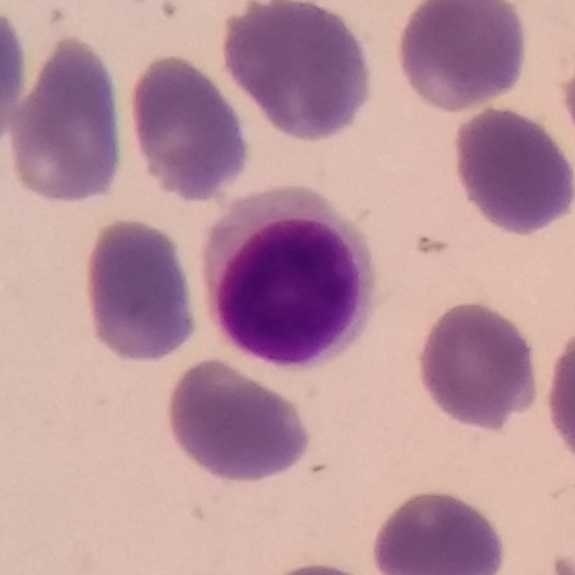
A lymphocyte.

Image: Single-cell crop; smartphone camera mounted on the microscope eyepiece; peripheral blood film.